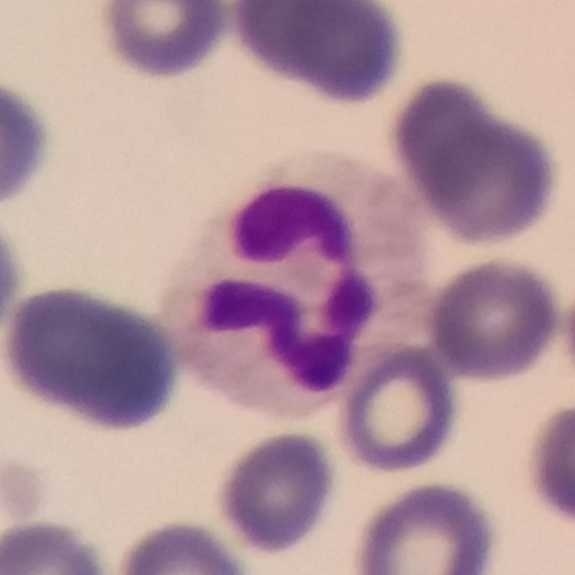 Impression — neutrophilic granulocyte.